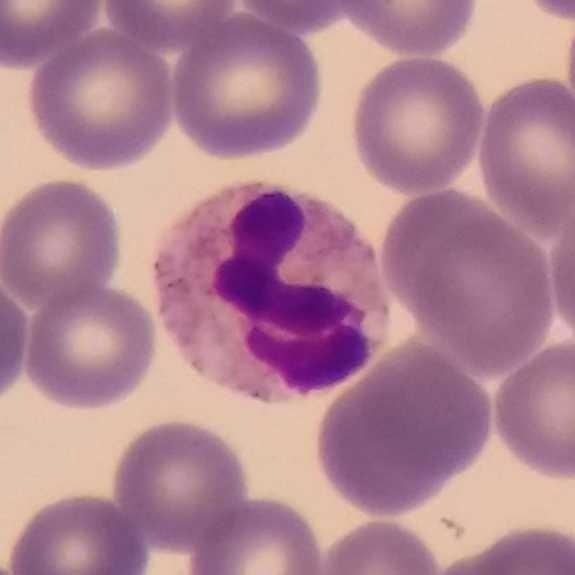 Peripheral blood smear.
Showing a neutrophil granulocyte.